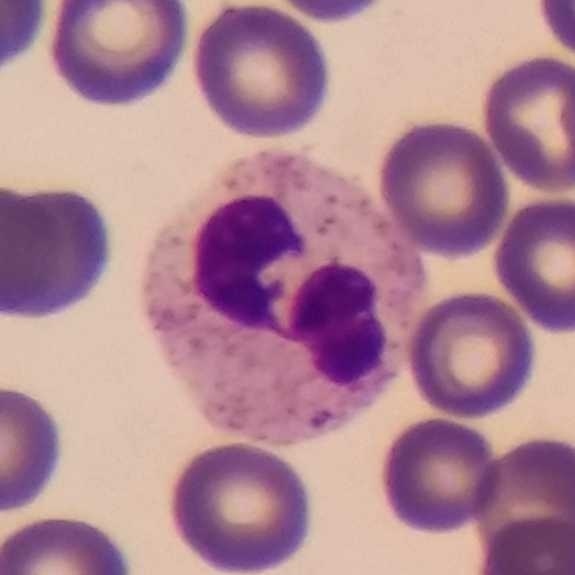
Identified as a neutrophil.